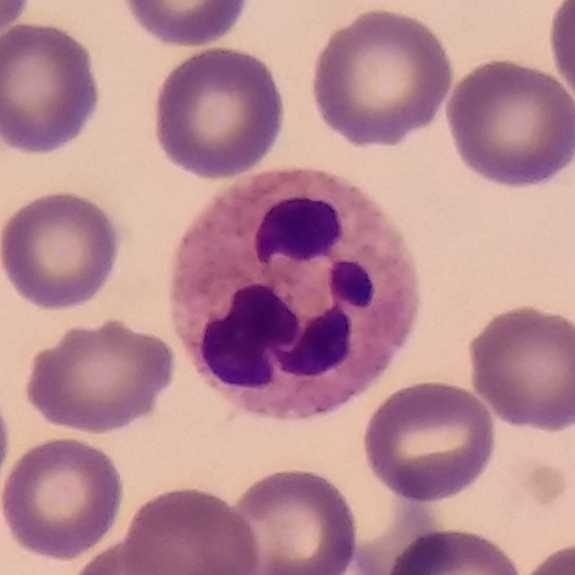
Impression → neutrophilic granulocyte.

Context: Peripheral blood smear · 100× magnification.